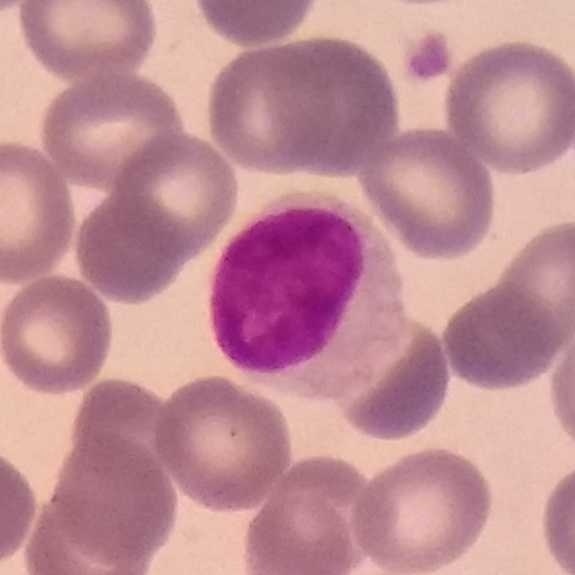
Impression → lymphocyte.